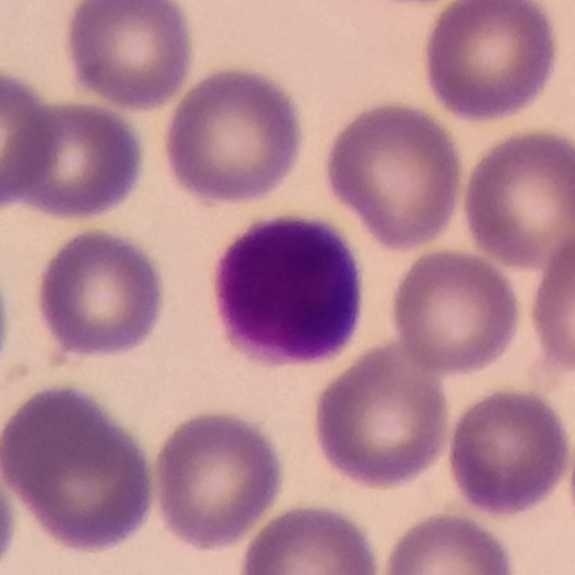 Cell: lymphocyte.